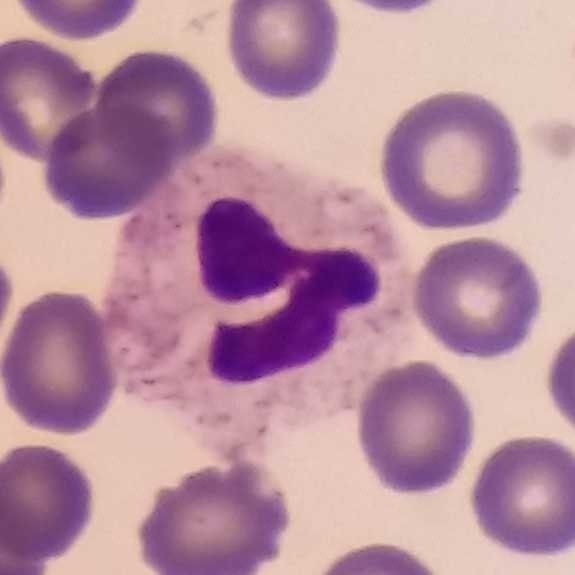
A neutrophil granulocyte.